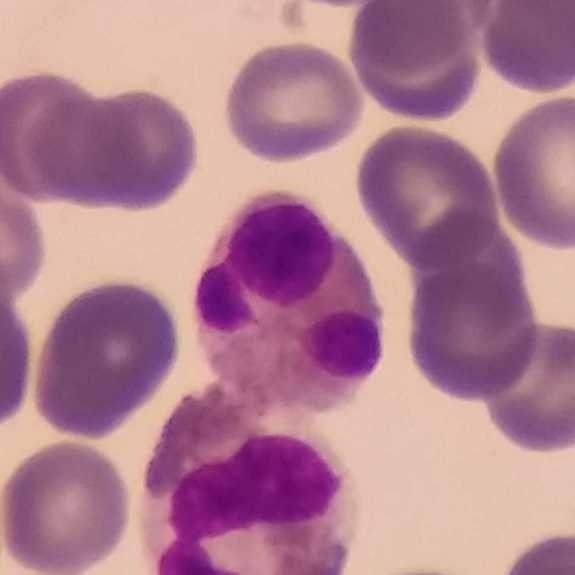

The morphological class is eosinophil.